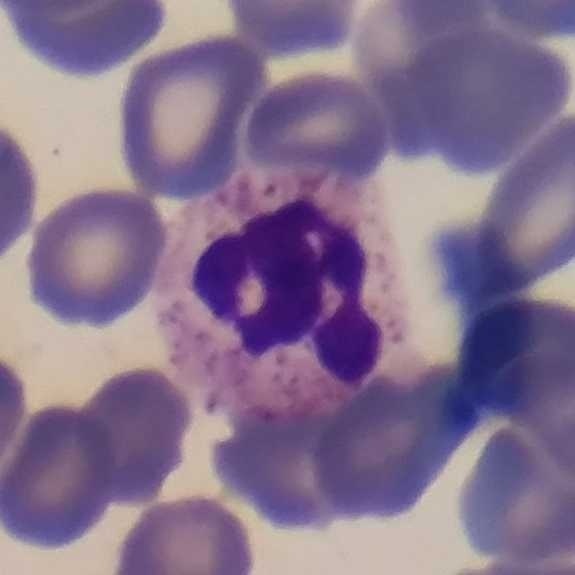
Morphology consistent with a neutrophil granulocyte.
Preparation: Peripheral blood film; single-cell crop.